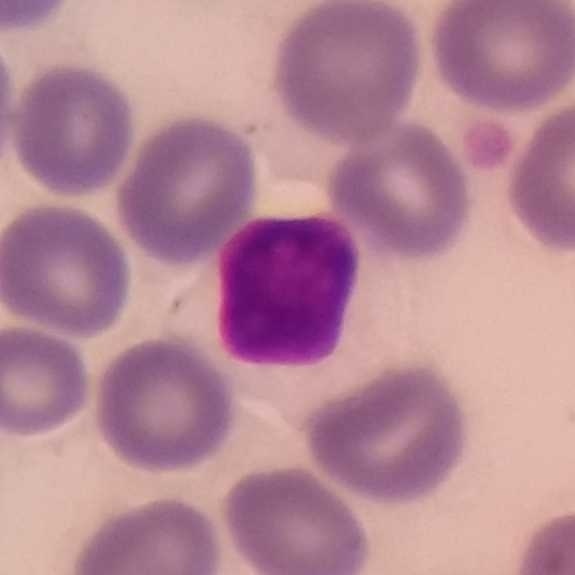
Context: Peripheral blood film. Morphology consistent with a lymphocyte.